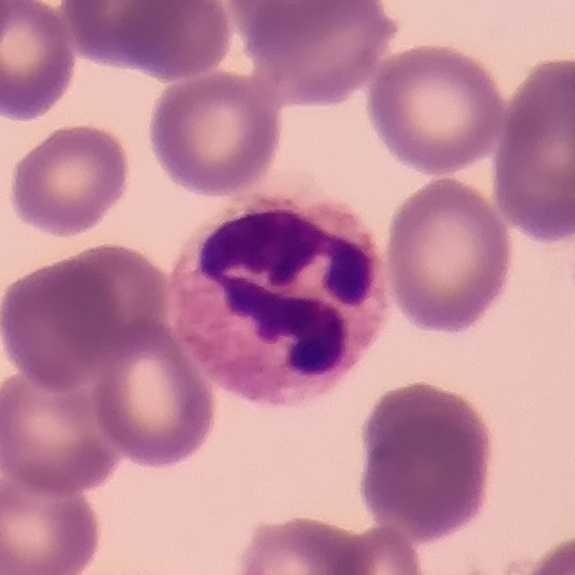
Specimen: peripheral blood film.
Morphological class: neutrophil.